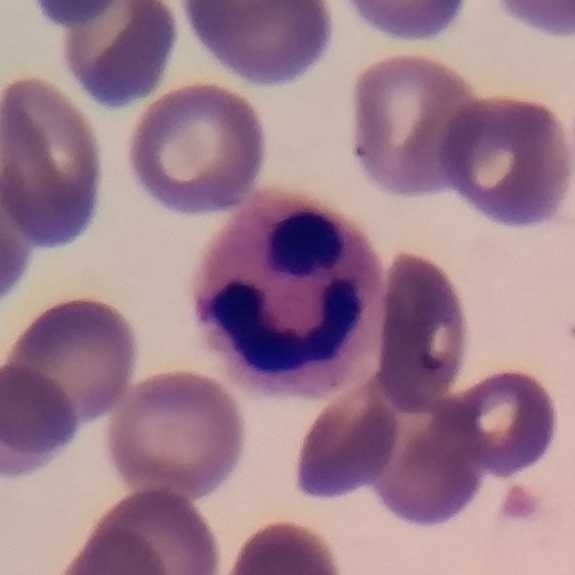
The morphological class is neutrophilic granulocyte.

Image: Peripheral blood smear.